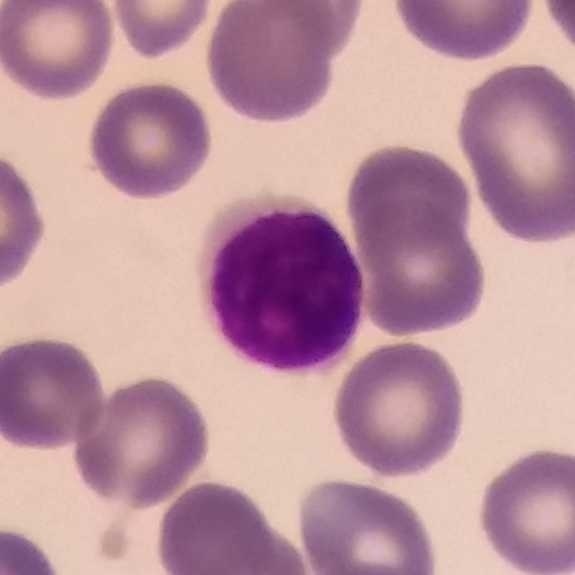

Peripheral blood film. A lymphocyte.